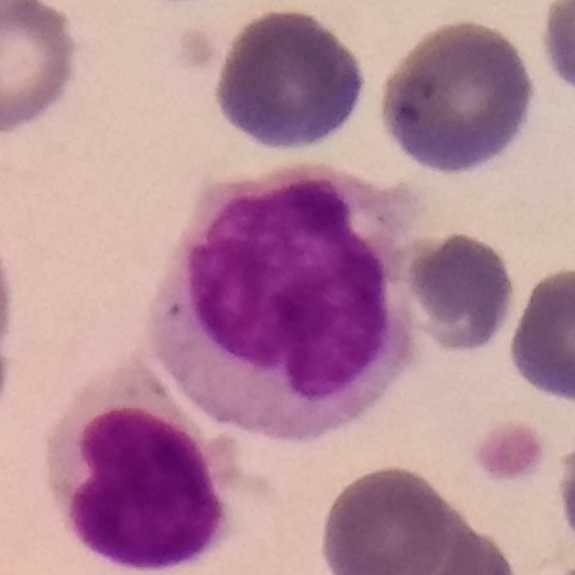

Image: Cropped to one leukocyte · peripheral blood smear · Giemsa stain.
Impression → monocyte.